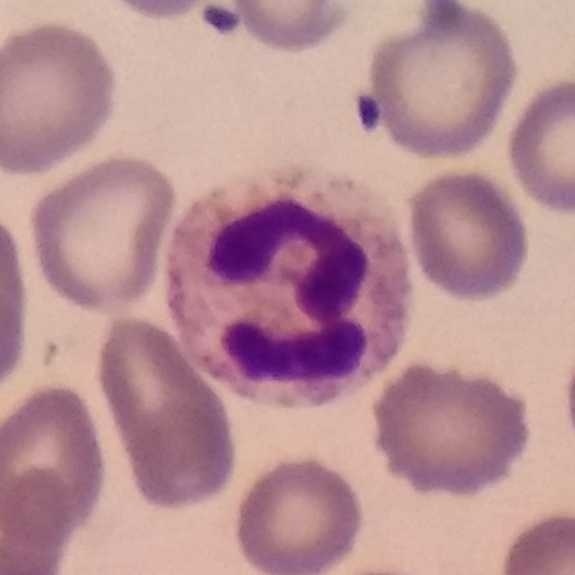 White blood cell type = neutrophil granulocyte. Peripheral blood smear.